575×575 px; peripheral blood smear; cropped to one leukocyte
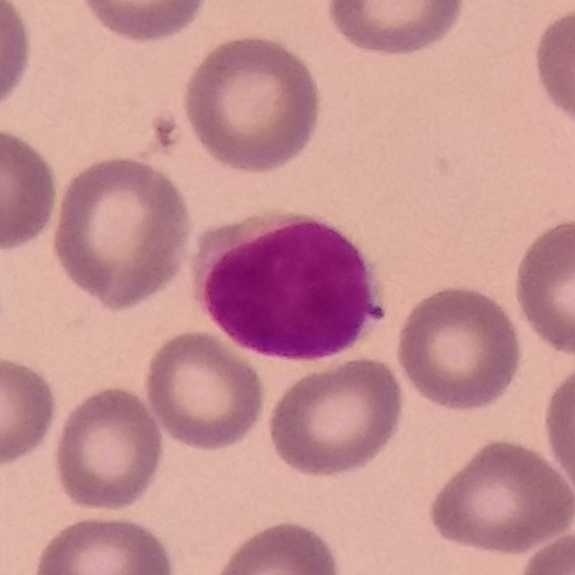
Specimen: peripheral blood smear.
Classification: lymphocyte.